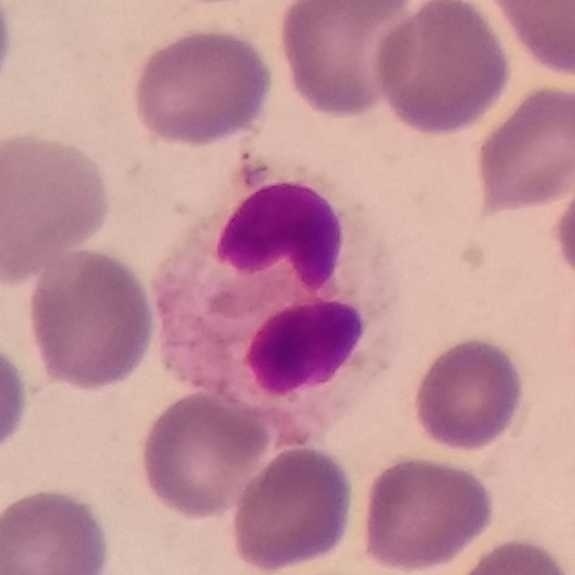
Single cell identified as a neutrophil.

575×575 · peripheral blood film.